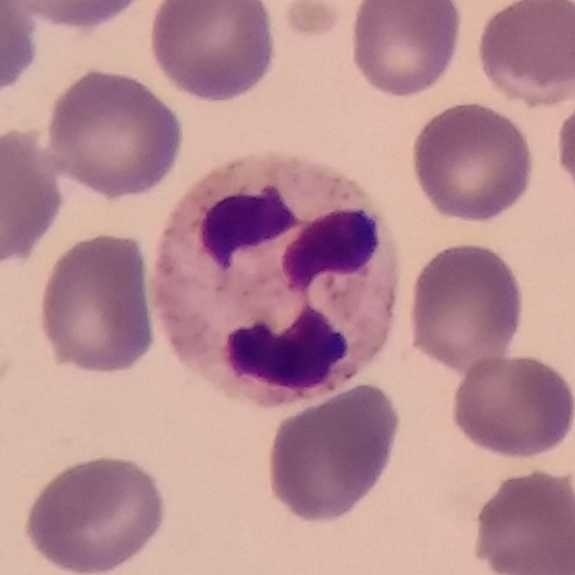
Preparation: Cropped to one leukocyte; peripheral blood smear.

Q: What cell is this?
A: This is a neutrophilic granulocyte.